575 by 575 pixels. Smartphone photomicrograph. Peripheral blood smear:
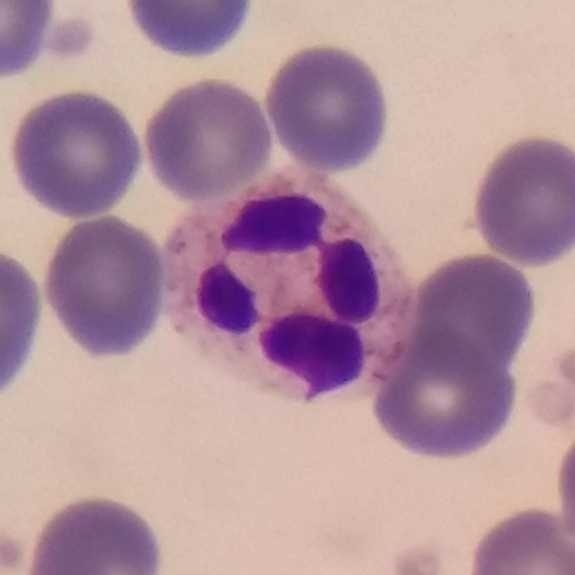
This is a neutrophilic granulocyte.